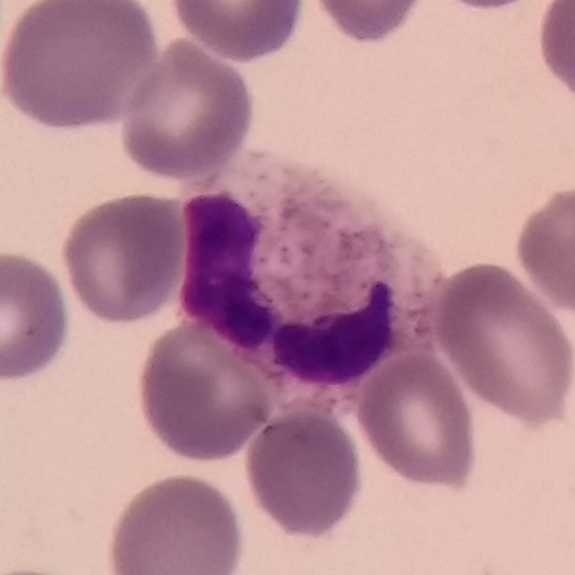 Morphology — neutrophil granulocyte. Peripheral blood film.